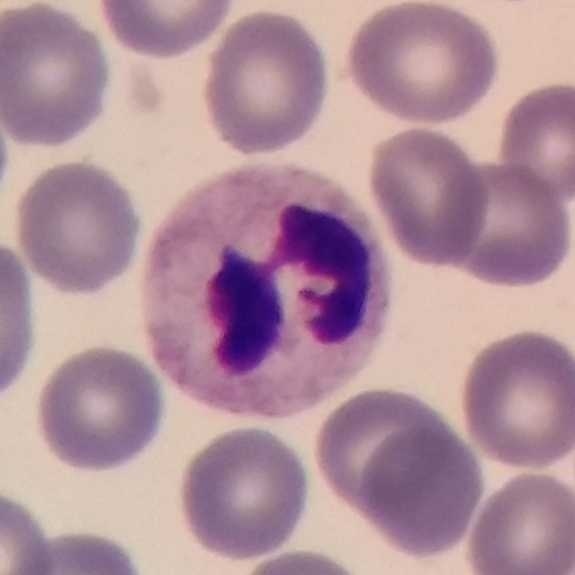

575×575 px · peripheral blood film.
Morphology → neutrophilic granulocyte.